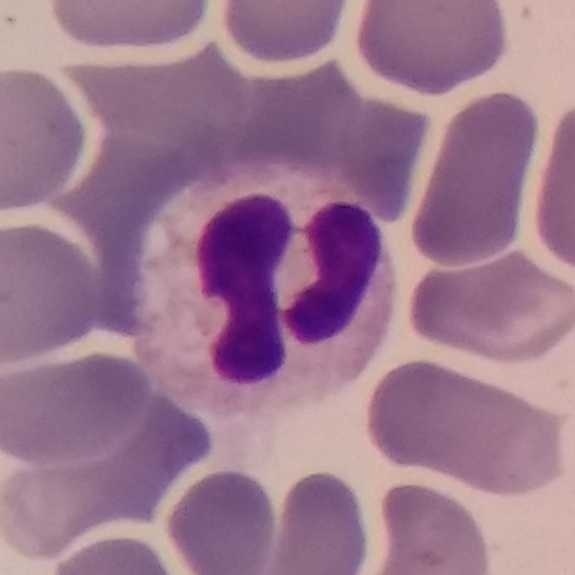

Single cell identified as a neutrophil granulocyte.
Preparation: Peripheral blood smear. Single white blood cell cropped from the smear photograph.